Photographed through a light microscope with a smartphone camera. 575 by 575 pixels. Peripheral blood film: 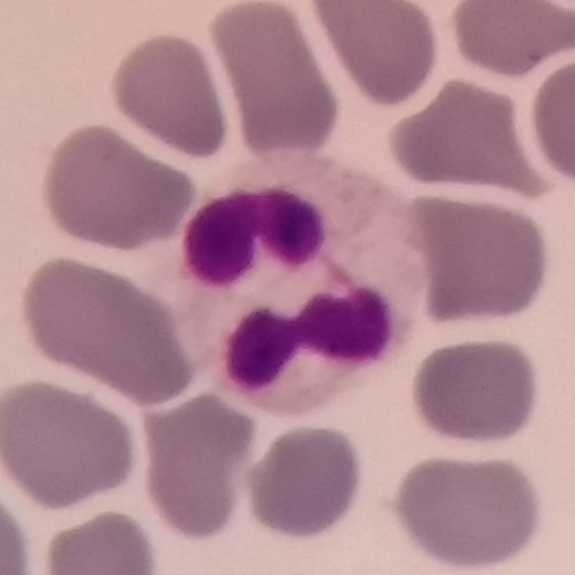

This is a neutrophilic granulocyte.